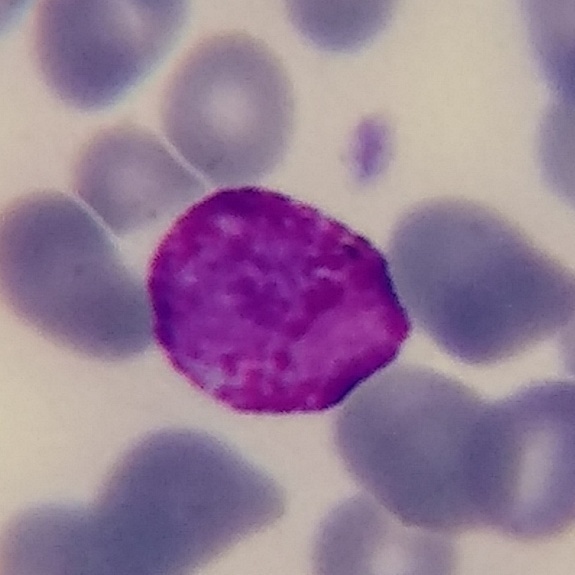

White blood cell type — basophil.